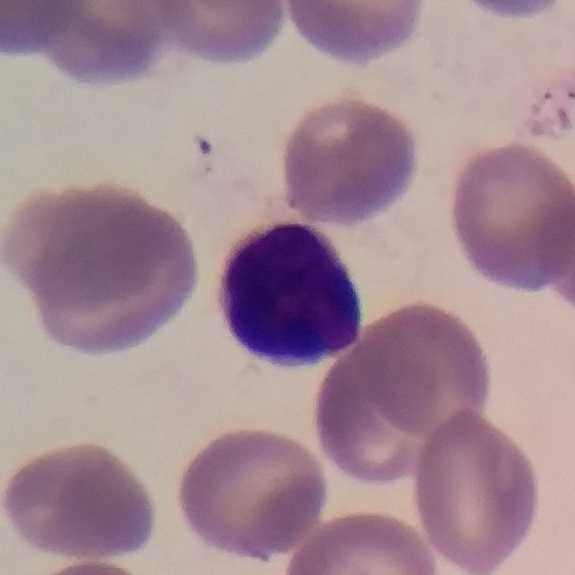

This is a lymphocyte.